Peripheral blood smear · smartphone photomicrograph · 575×575
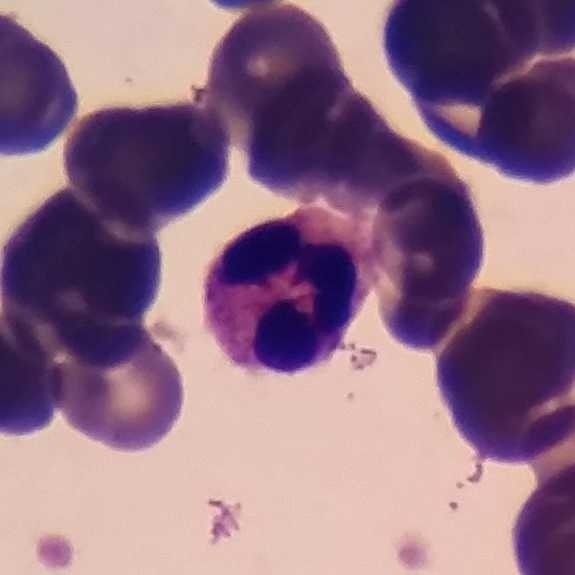

Identified as a neutrophilic granulocyte.